Peripheral blood film.
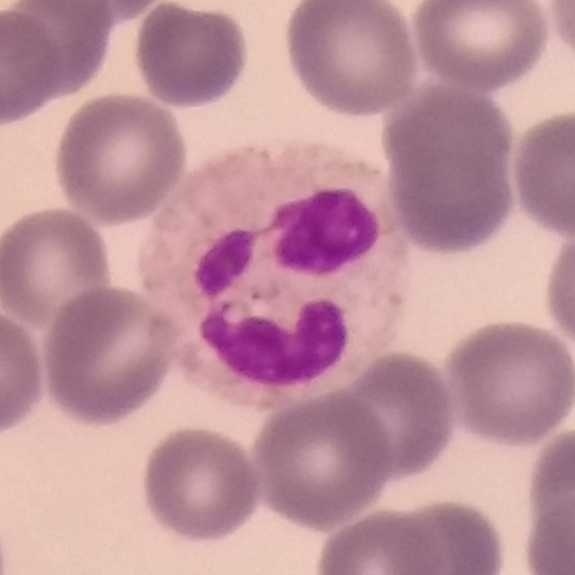

Morphology — neutrophilic granulocyte.